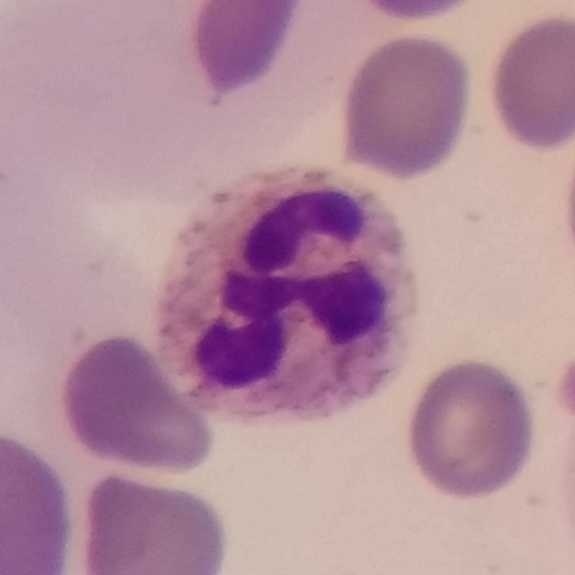

Image: Peripheral blood smear.
Single cell identified as a neutrophil granulocyte.